Single white blood cell cropped from the smear photograph. 575×575. Peripheral blood film:
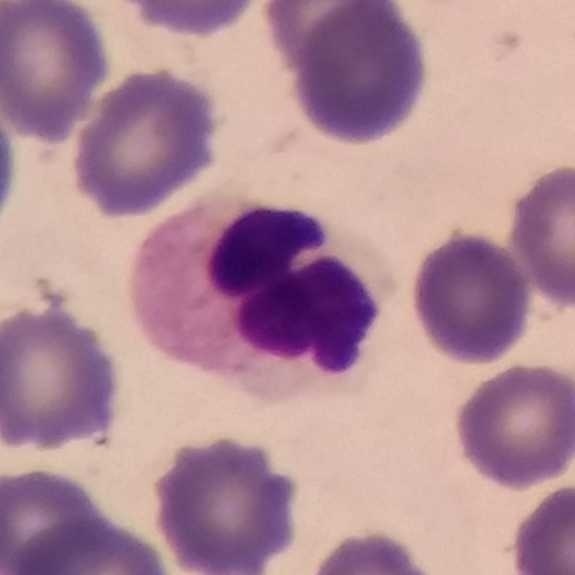
Cell type — neutrophil granulocyte.